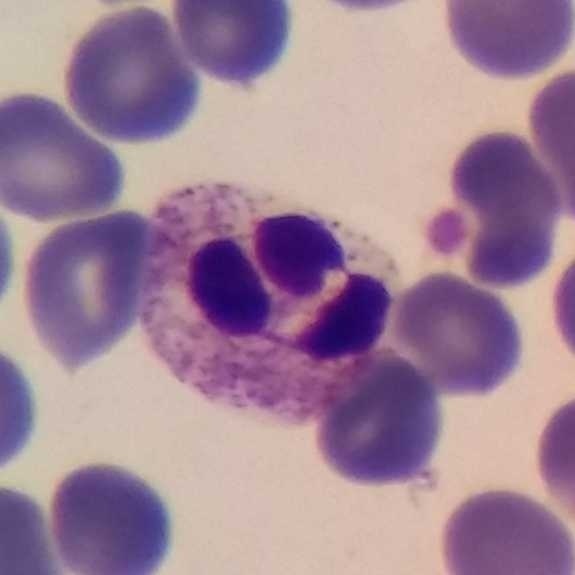White blood cell type: neutrophil granulocyte. Peripheral blood smear; imaged at 100×.